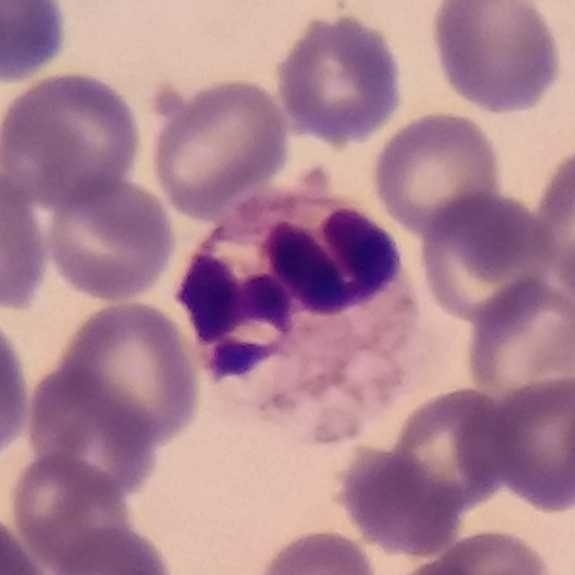 Context: Peripheral blood smear.

Single cell identified as a neutrophil granulocyte.